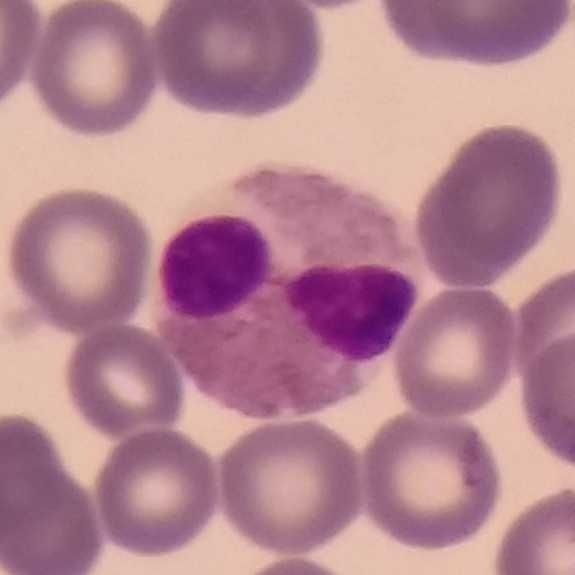
Morphological class = eosinophil.

Image: Peripheral blood film.